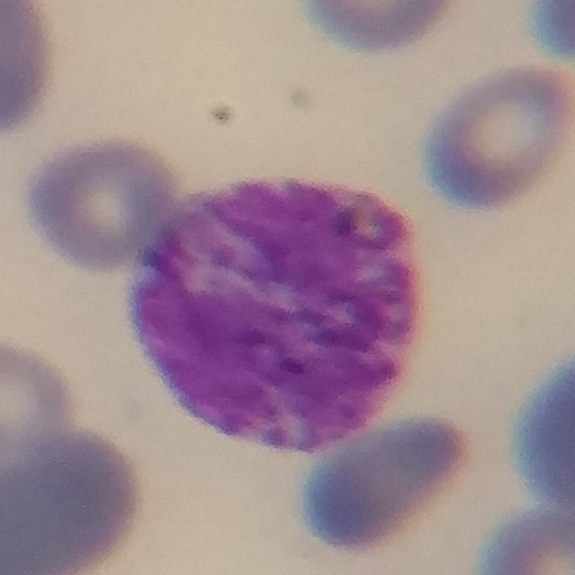Acquisition: Peripheral blood smear. {"cell_type": "basophilic granulocyte"}